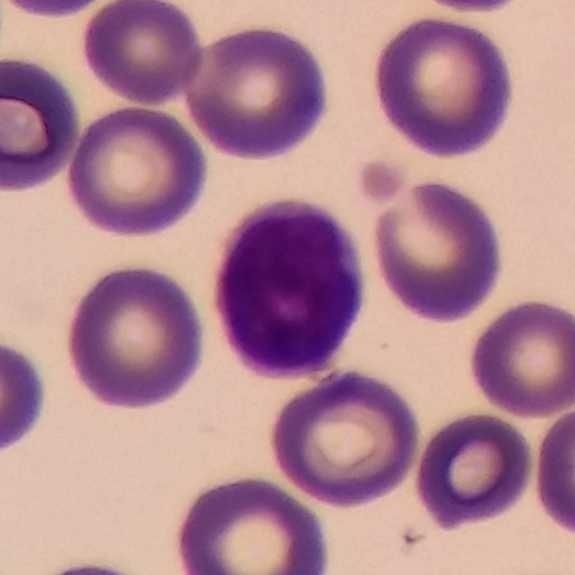 The classification is lymphocyte.

Peripheral blood film.